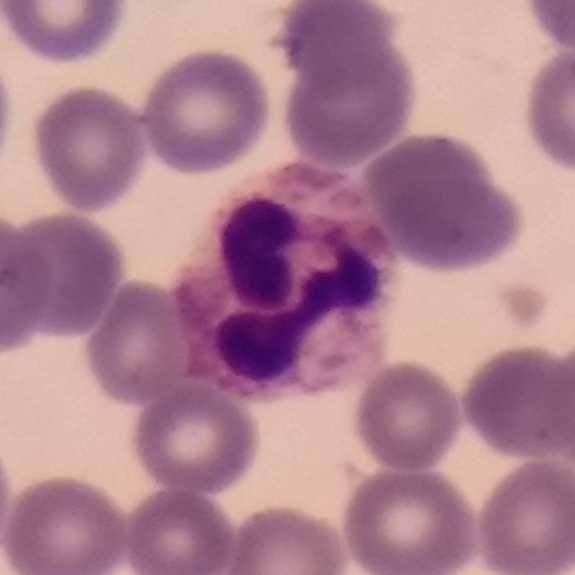 The morphological class is neutrophil.